Peripheral blood film.
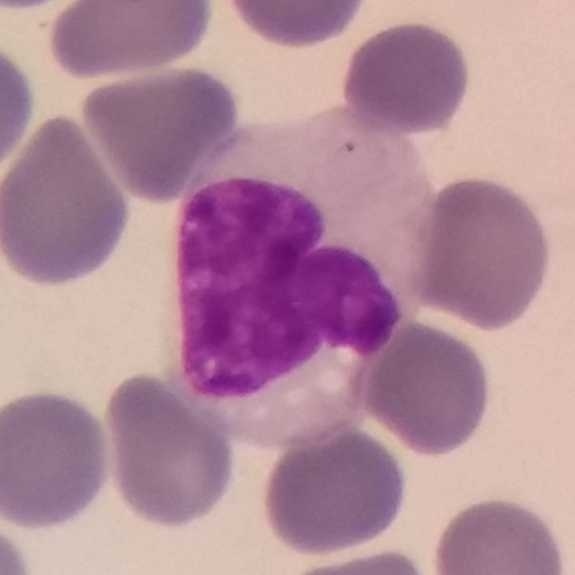Monocyte.